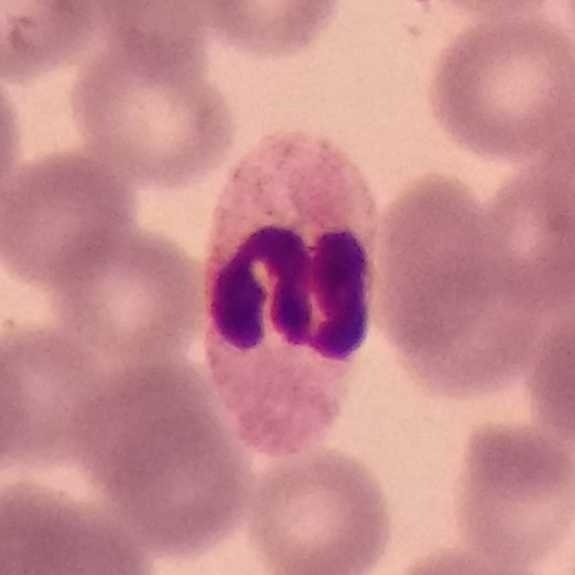

Specimen: peripheral blood smear.
Morphological class: neutrophil granulocyte.
Lineage: myeloid.